575 by 575 pixels; peripheral blood smear
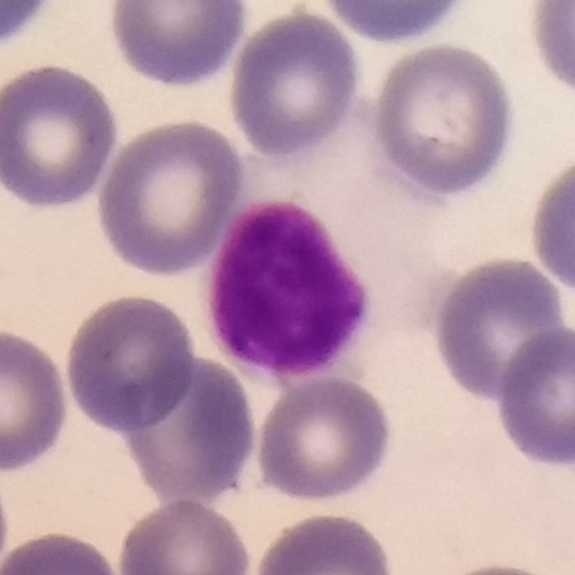

Lymphocyte.